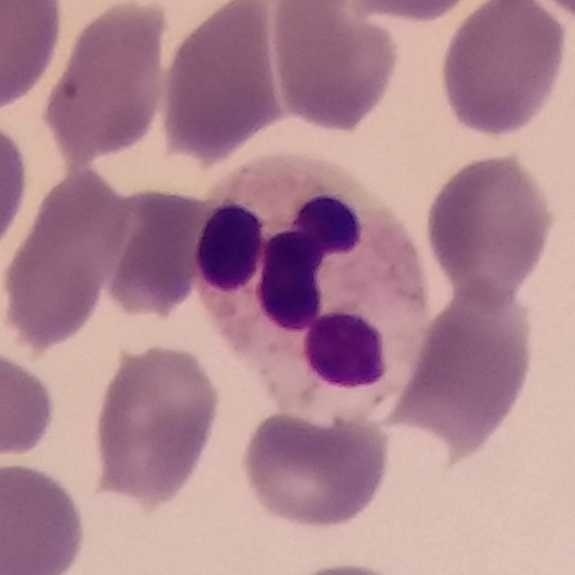
White blood cell type — neutrophil.